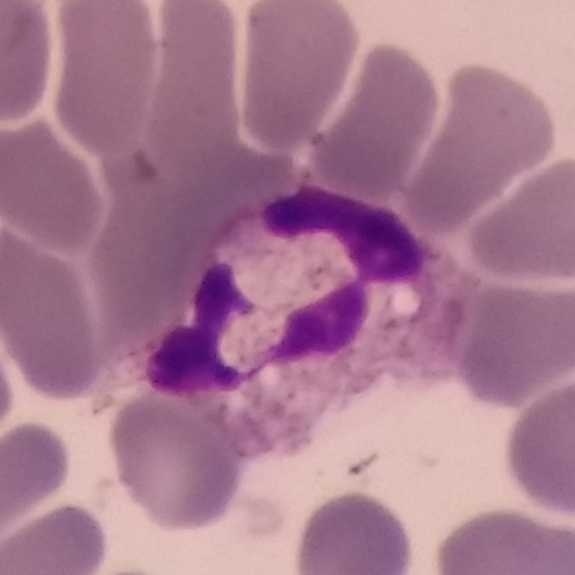

Morphological class: neutrophil granulocyte.
Peripheral blood film.